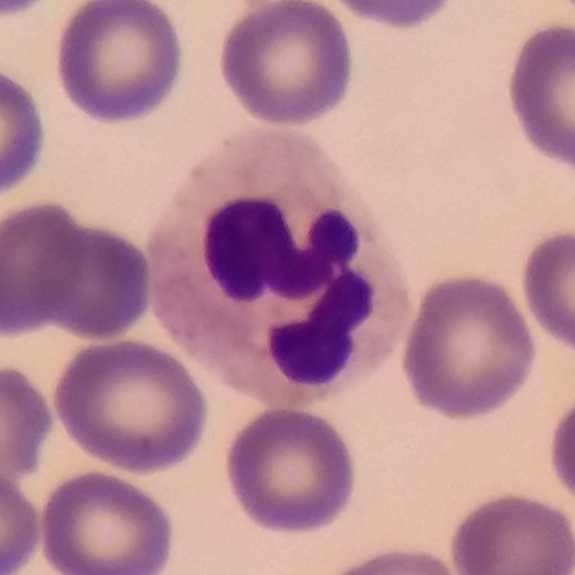Morphology consistent with a neutrophil granulocyte.

Peripheral blood smear · stained with Giemsa.